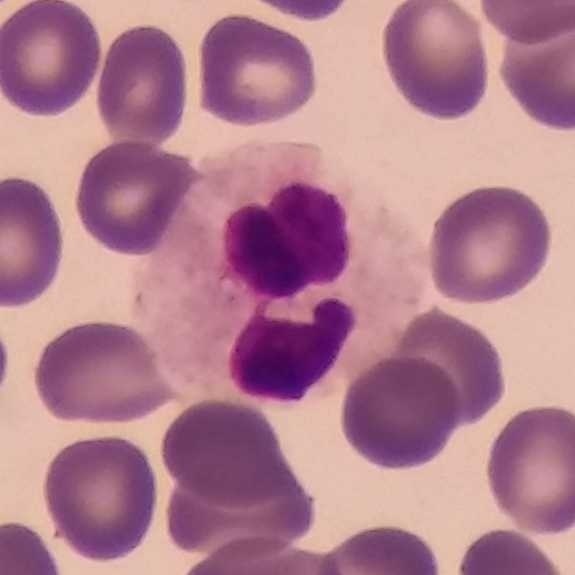
Preparation: Giemsa-stained · smartphone camera mounted on the microscope eyepiece · peripheral blood smear.
Classification = neutrophil.